100× magnification; peripheral blood film — 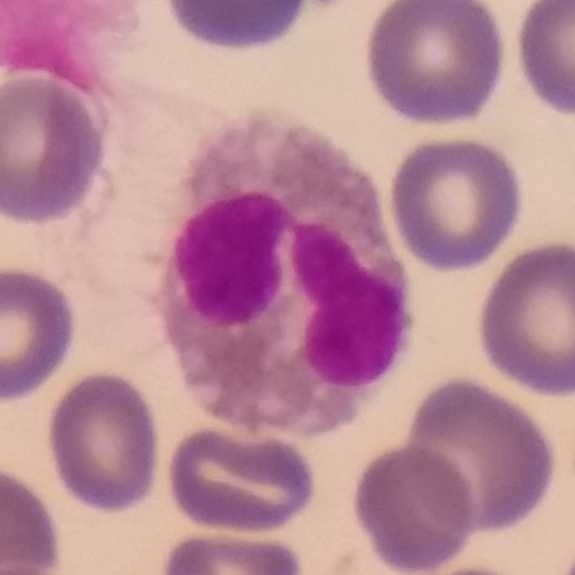 Q: What is this?
A: An eosinophil.